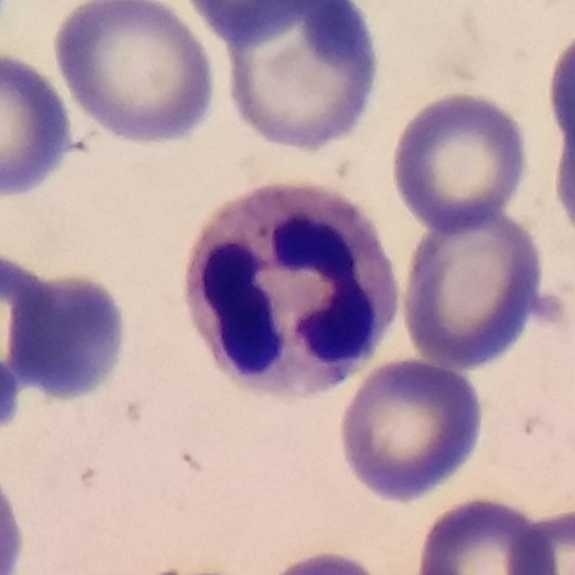

The white blood cell type is neutrophilic granulocyte.
Peripheral blood film · Giemsa-stained.